Peripheral blood film — 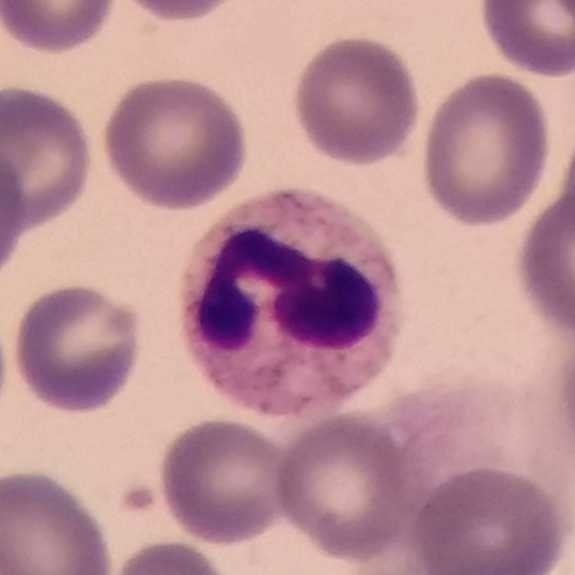
Morphology — neutrophil.